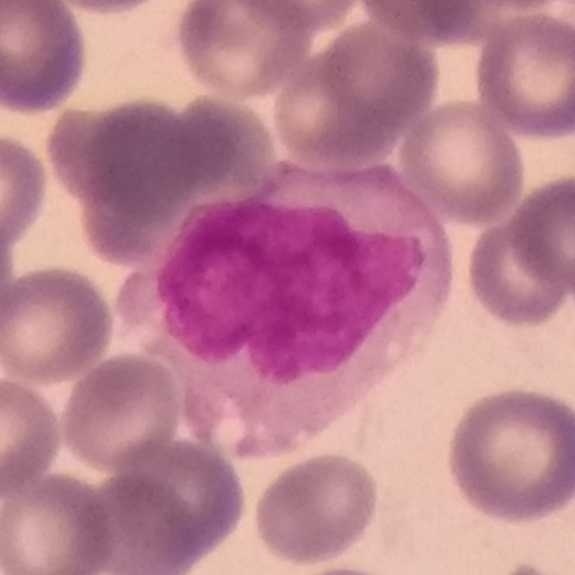

Image: 575×575 px · magnification 100× · peripheral blood smear.
Cell type = monocyte.